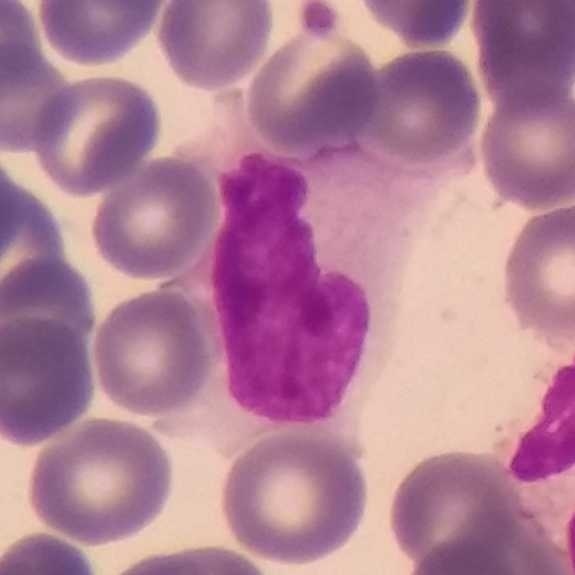Context: Peripheral blood film. Q: Which cell type is shown here?
A: A monocyte.